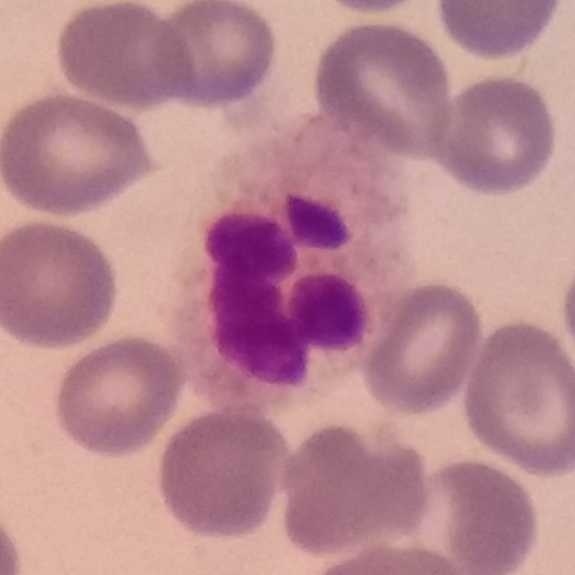Specimen: peripheral blood smear.
White blood cell type: neutrophil.
Single-cell field.